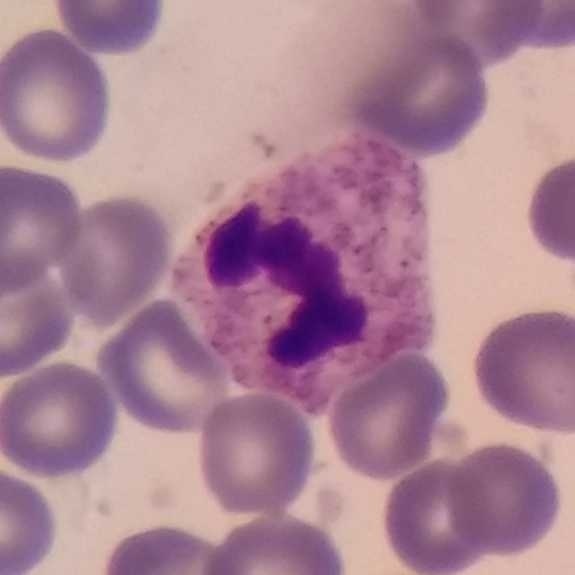

Acquisition: Peripheral blood film; 575 by 575 pixels.
Neutrophilic granulocyte.